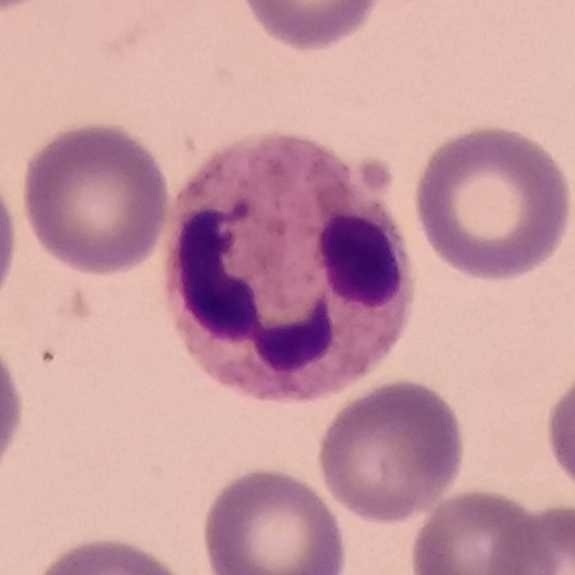 Peripheral blood smear. White blood cell type: neutrophil.